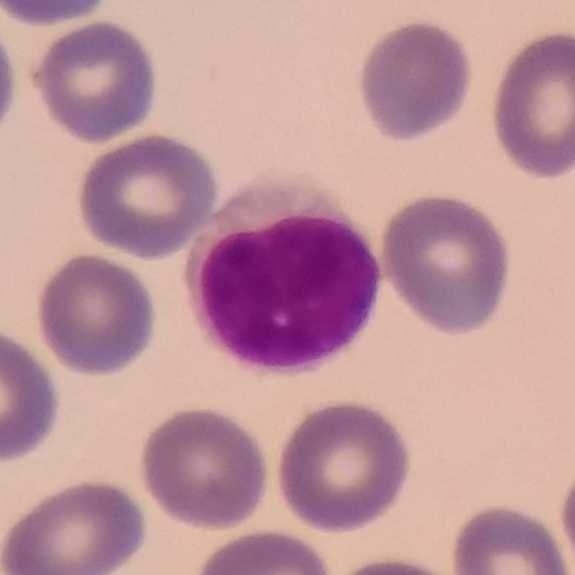
Image: Giemsa-stained · peripheral blood smear.

Single cell identified as a lymphocyte.